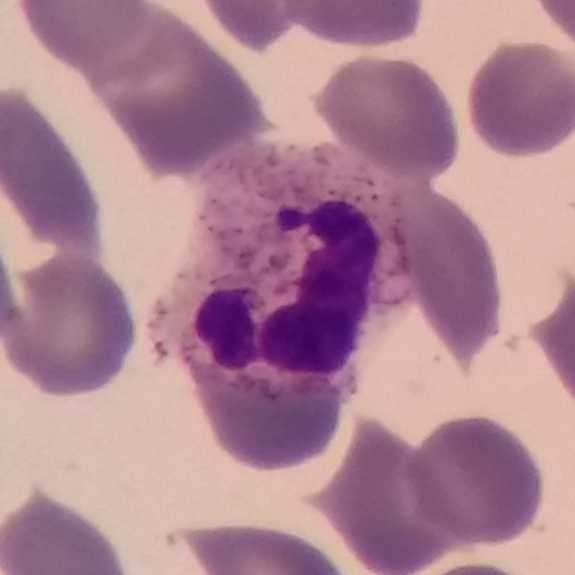Acquisition: Peripheral blood smear. This is a neutrophil.